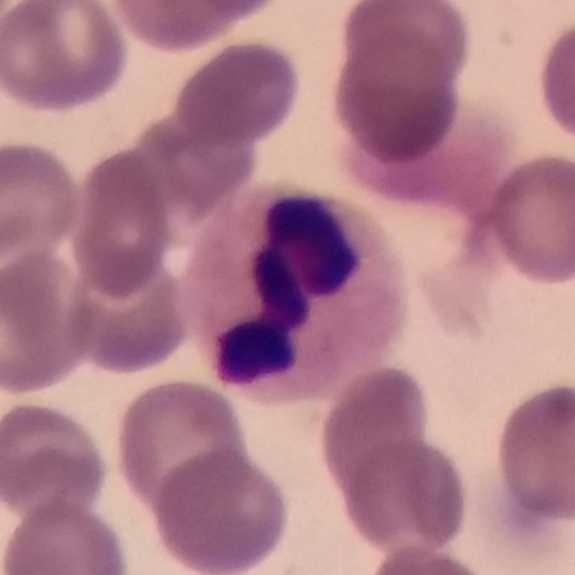
{"cell_type": "neutrophilic granulocyte"} Preparation: 575 by 575 pixels; peripheral blood smear.